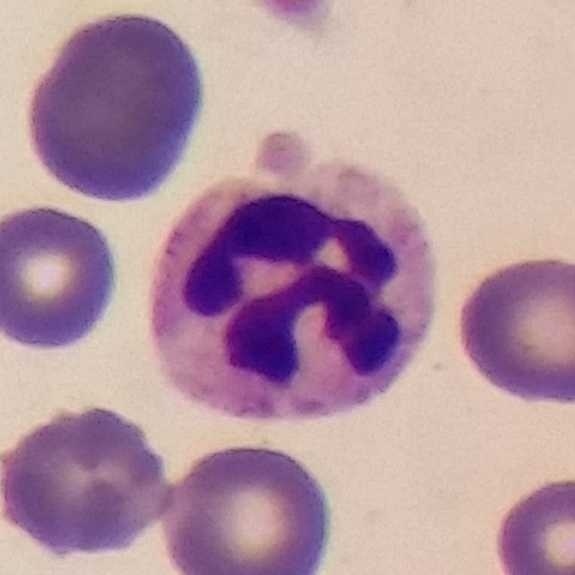
Identified as a neutrophil.
Phone-camera image taken through the microscope ocular. Peripheral blood film.